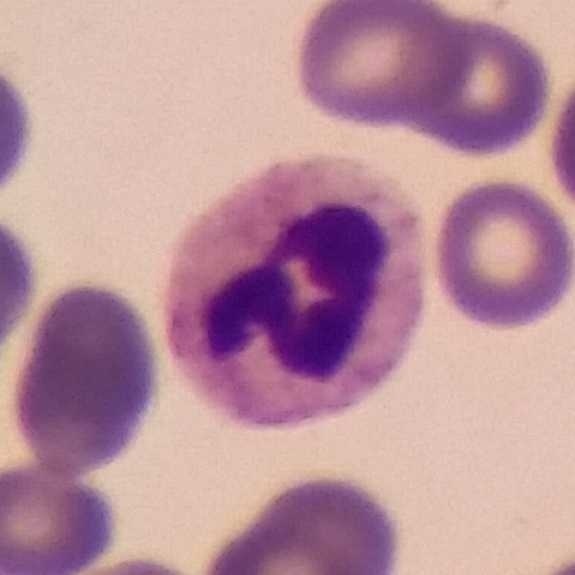
Peripheral blood smear showing a neutrophilic granulocyte.